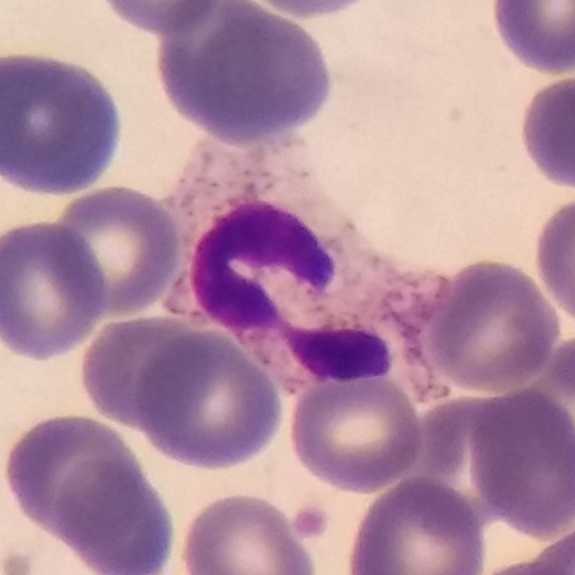 Cell — neutrophilic granulocyte.
Peripheral blood smear.